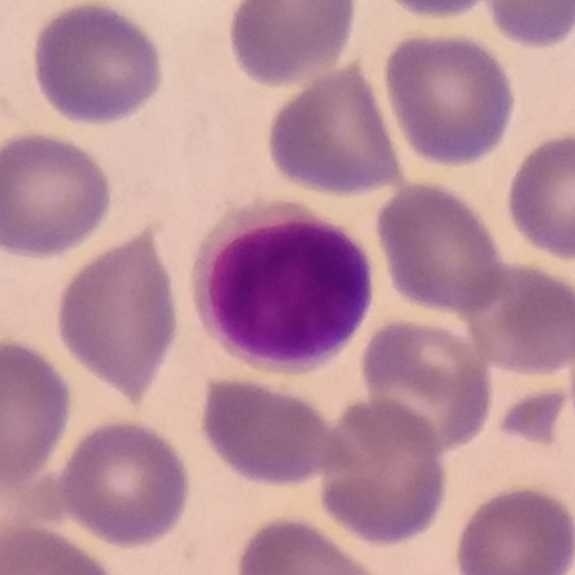
Showing a lymphocyte. Peripheral blood smear.